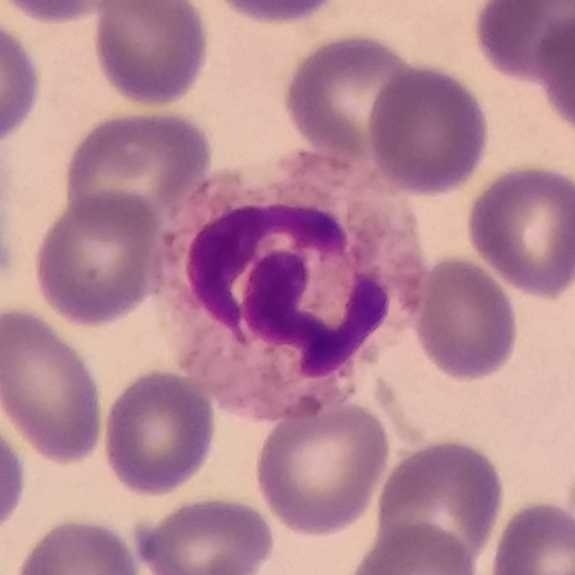
White blood cell type = neutrophil.

Context: Peripheral blood smear.